Single white blood cell cropped from the smear photograph; peripheral blood film.
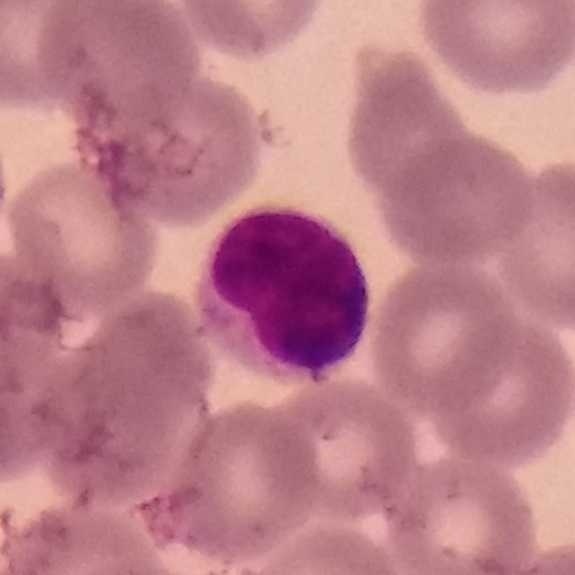Q: Which cell type is shown here?
A: Lymphocyte.